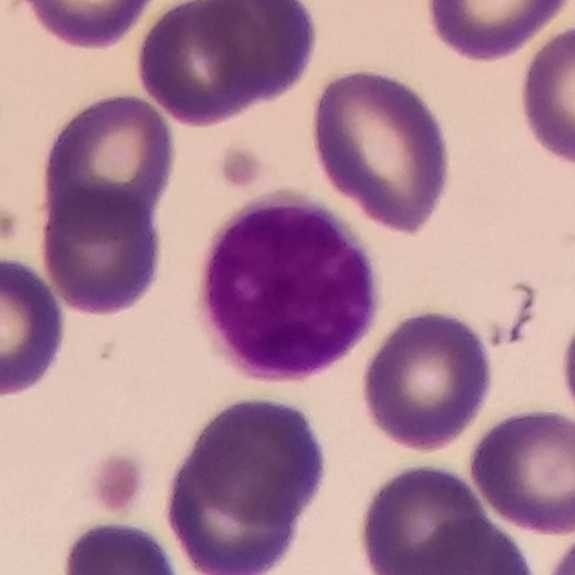
Specimen: peripheral blood smear.
Morphological class: lymphocyte.
Lineage: lymphoid. Acquisition: Cropped to one leukocyte.